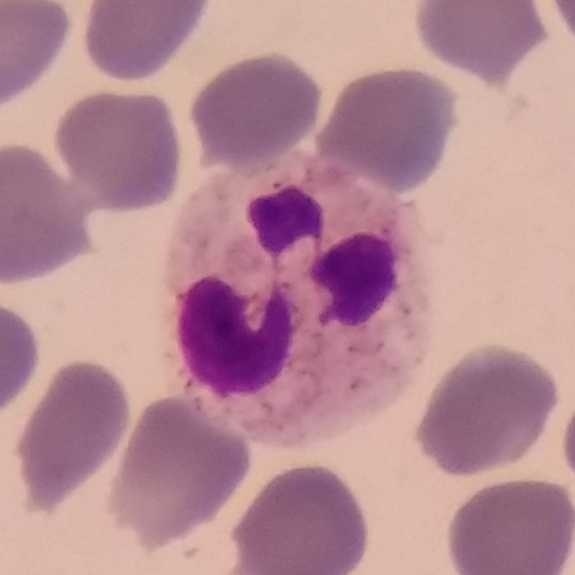 Q: Which cell type is shown here?
A: This is a neutrophil.